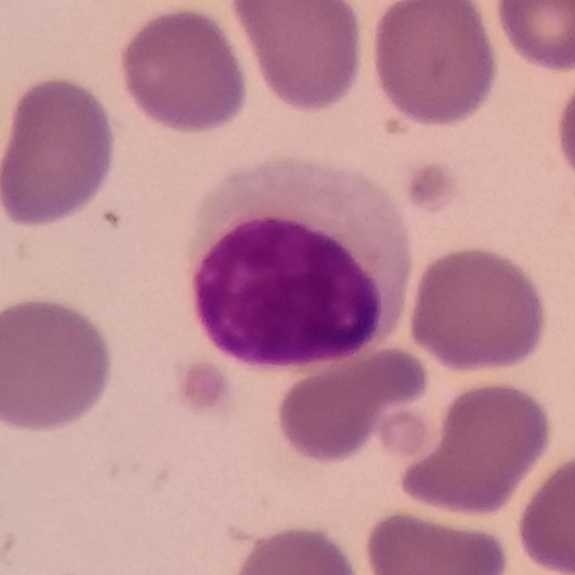 Q: Identify the cell.
A: A lymphocyte. Image: Peripheral blood smear.